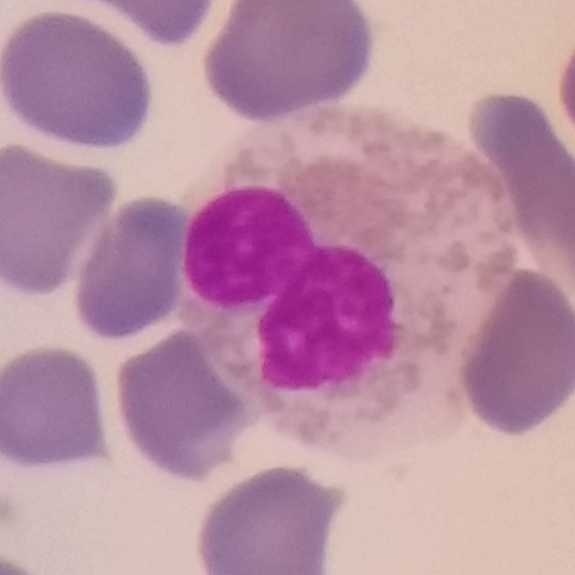 {"cell_type": "eosinophilic granulocyte", "lineage": "myeloid"}

Peripheral blood smear.